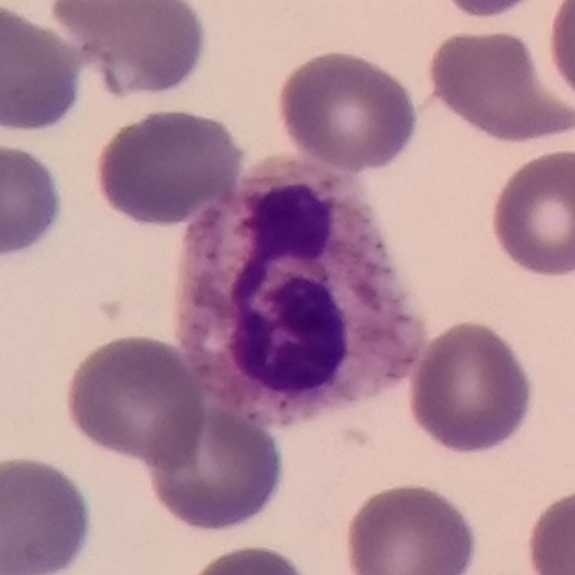

Q: What cell is this?
A: A neutrophilic granulocyte.